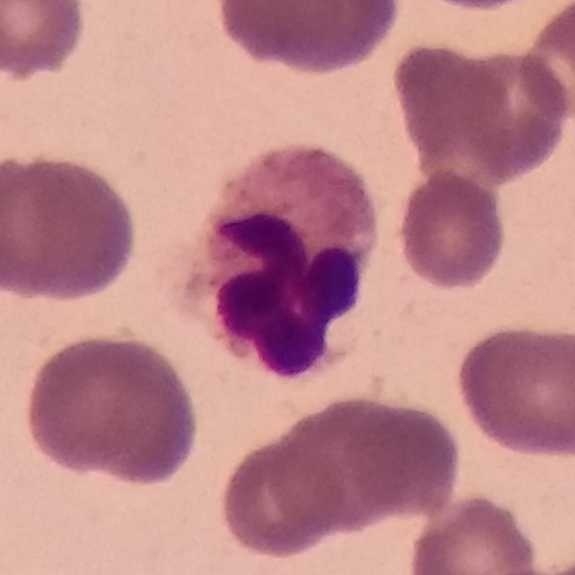 Peripheral blood smear.
{"cell_type": "neutrophil granulocyte"}